Peripheral blood smear. Cropped to one leukocyte: 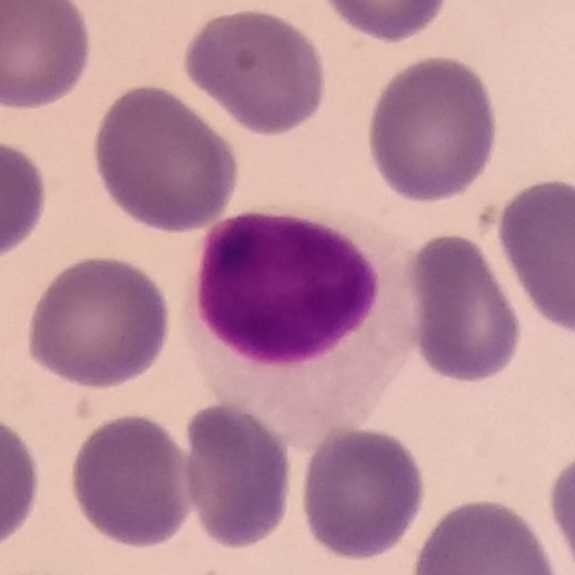

Morphology — lymphocyte.